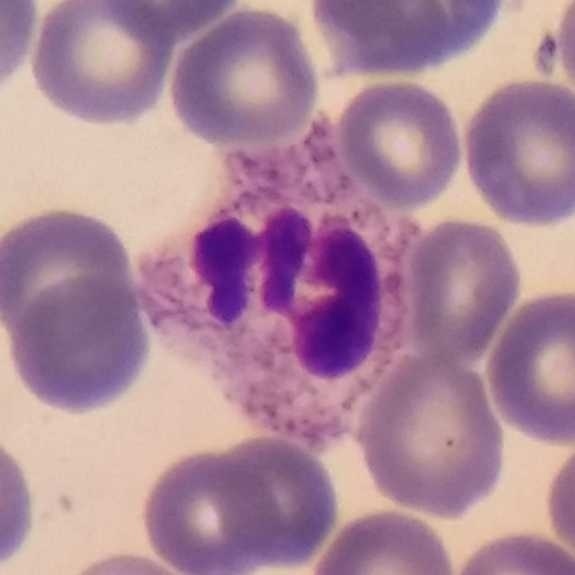

Specimen: peripheral blood film.
White blood cell type: neutrophil granulocyte.
Lineage: myeloid.